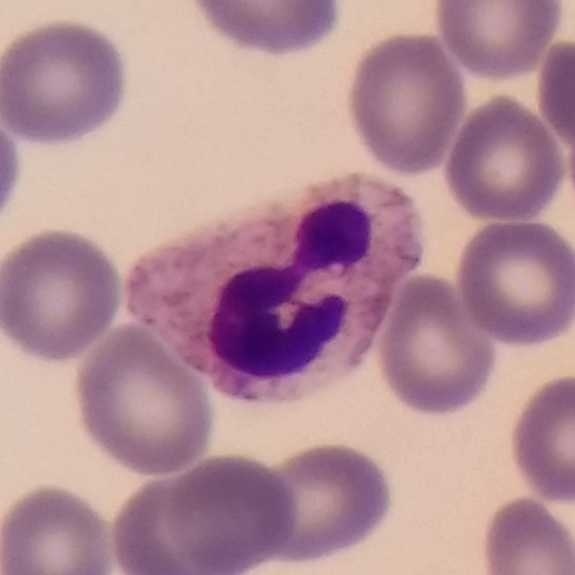 Preparation: Single-cell field · peripheral blood smear.

Morphological class: neutrophil.